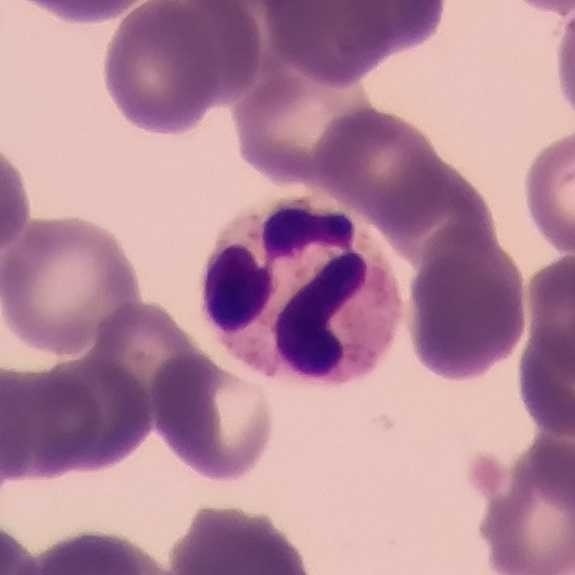

{"cell_type": "neutrophil"}